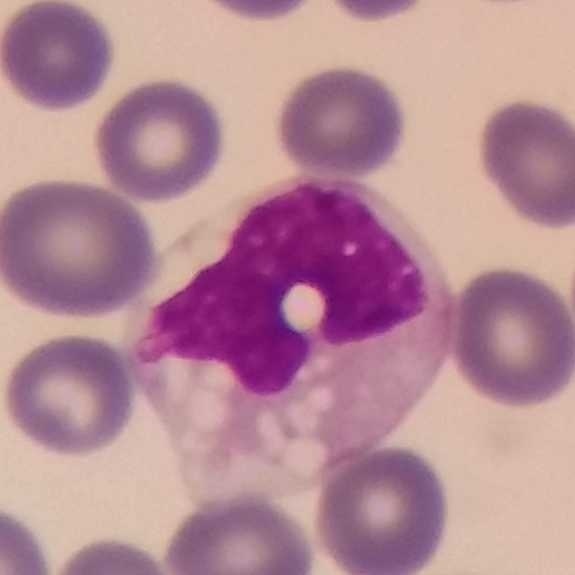
Cell — monocyte.

Peripheral blood smear. Giemsa-stained.